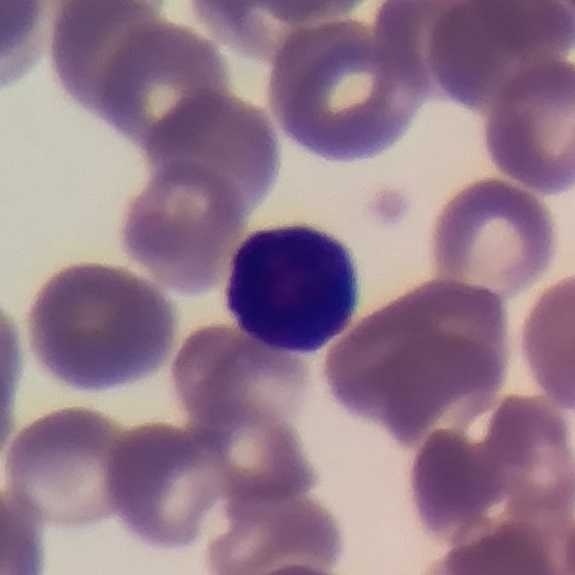

Peripheral blood smear.

The morphological class is lymphocyte.